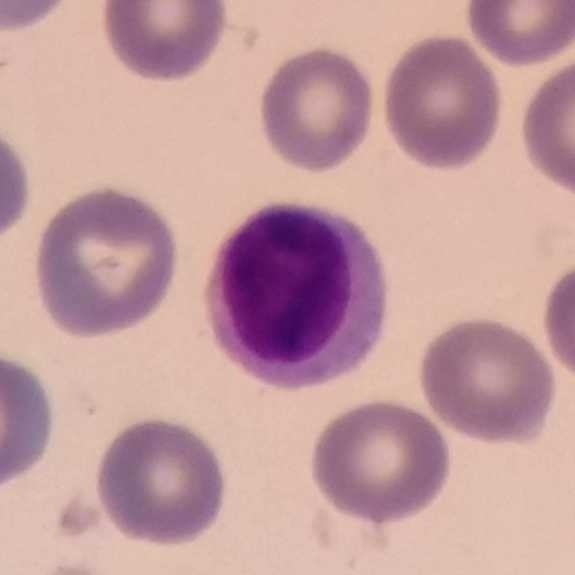
Peripheral blood film.
Identified as a lymphocyte.